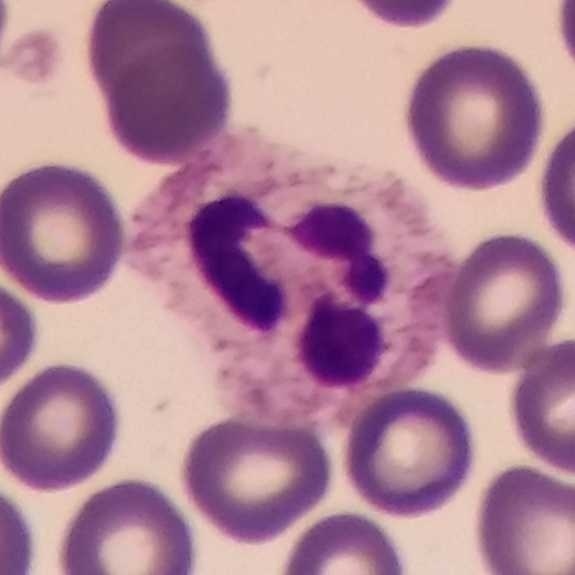 Impression → neutrophilic granulocyte. Preparation: Peripheral blood smear. Stained with Giemsa.